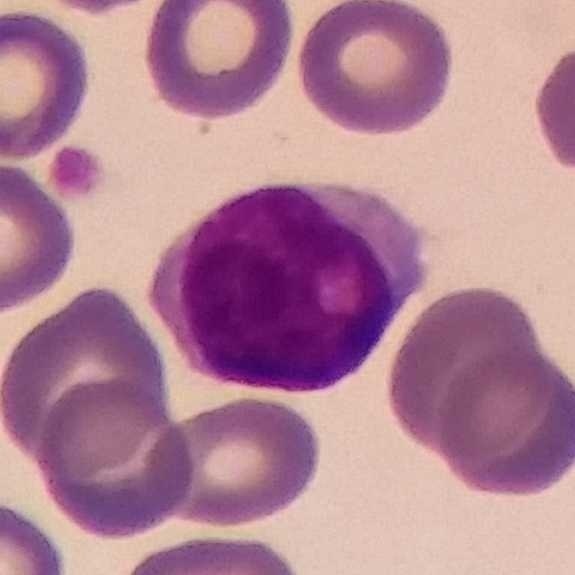

Single cell identified as a lymphocyte.
Image: Giemsa stain; peripheral blood film; magnification 100×.